Image size 575×575 · peripheral blood smear · cropped to one leukocyte — 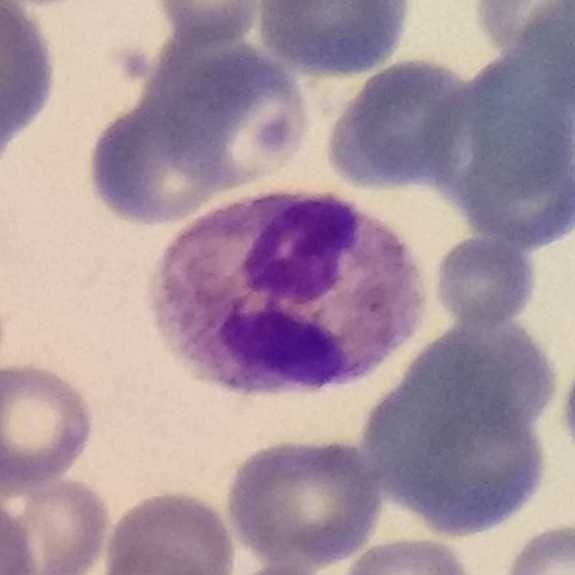 Morphological class — neutrophil granulocyte.